Single-cell field · peripheral blood smear · phone-camera image taken through the microscope ocular — 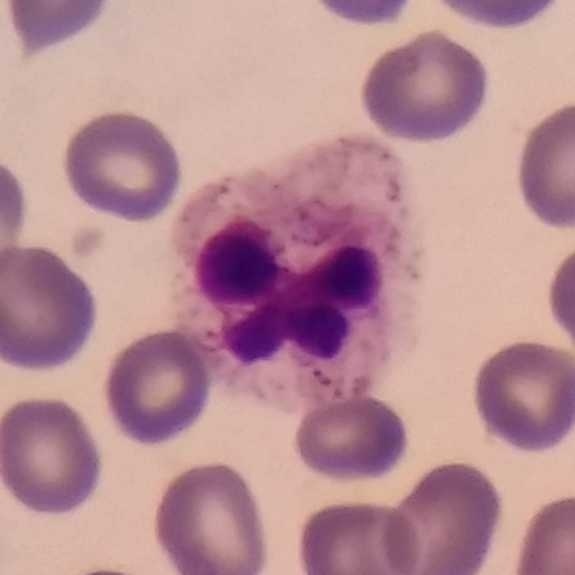

Specimen: peripheral blood film.
Classification: neutrophilic granulocyte.
Lineage: myeloid.